Single-cell field. 575×575. Peripheral blood film — 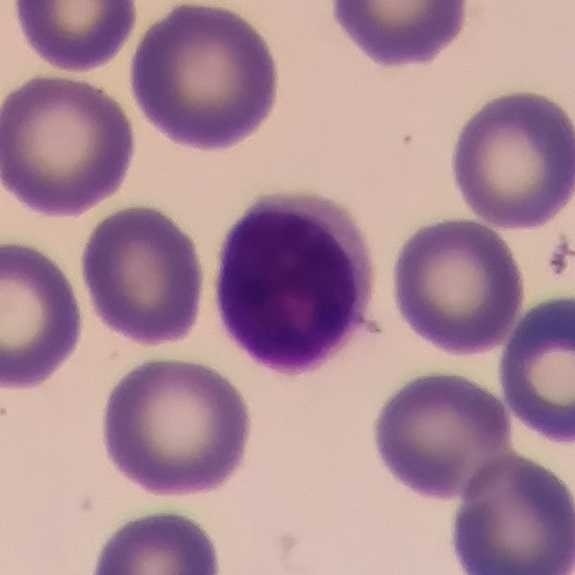

Impression → lymphocyte.